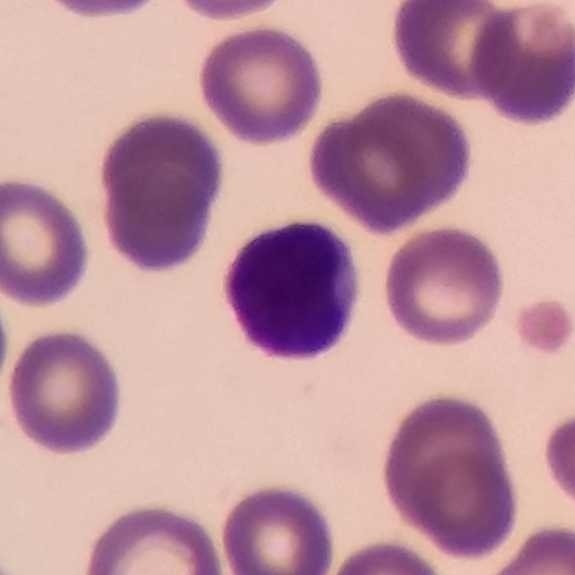

Context: Peripheral blood film.

Lymphocyte.